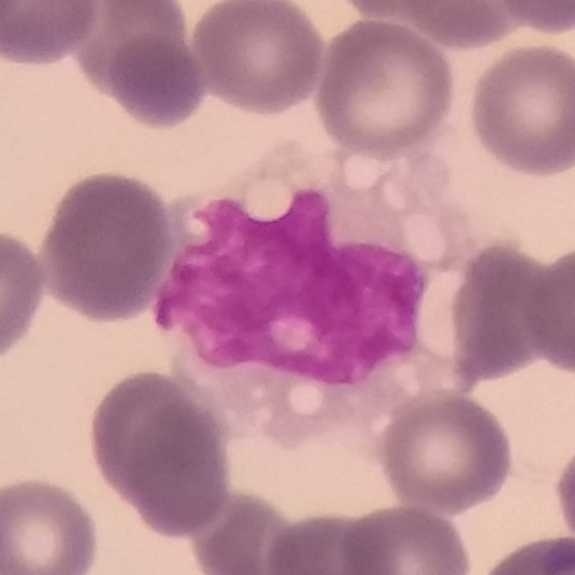The white blood cell in this image is a monocyte.
Image: Single-cell crop; peripheral blood smear.